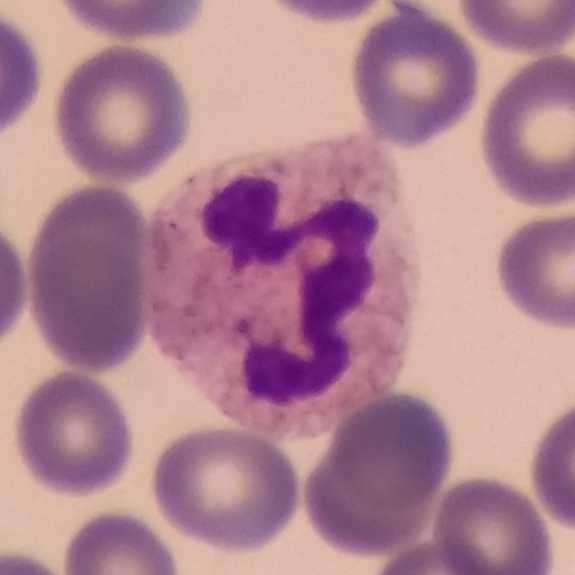

Specimen: peripheral blood film.
Cell: neutrophilic granulocyte.
Image: Giemsa-stained. 575×575.